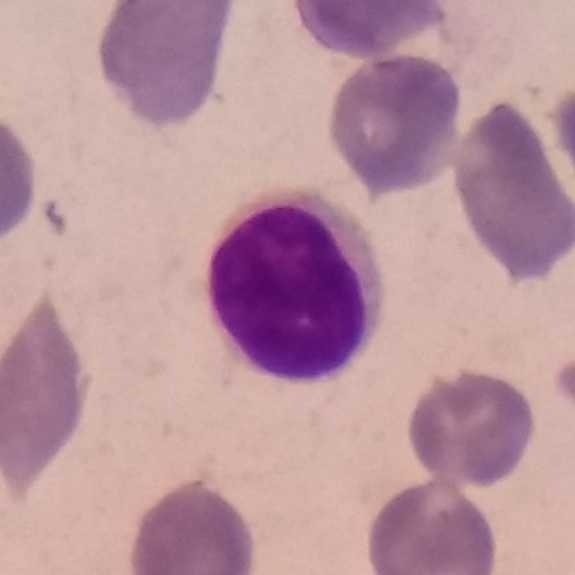 Acquisition: Peripheral blood film.
Cell type = lymphocyte.